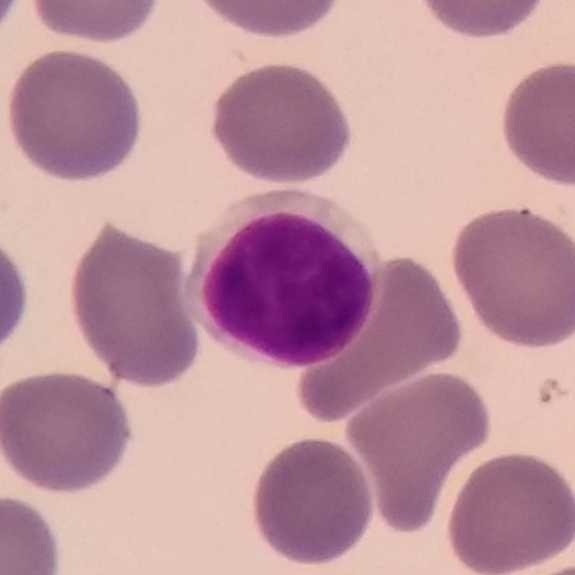

Peripheral blood film · 575×575. White blood cell type = lymphocyte.